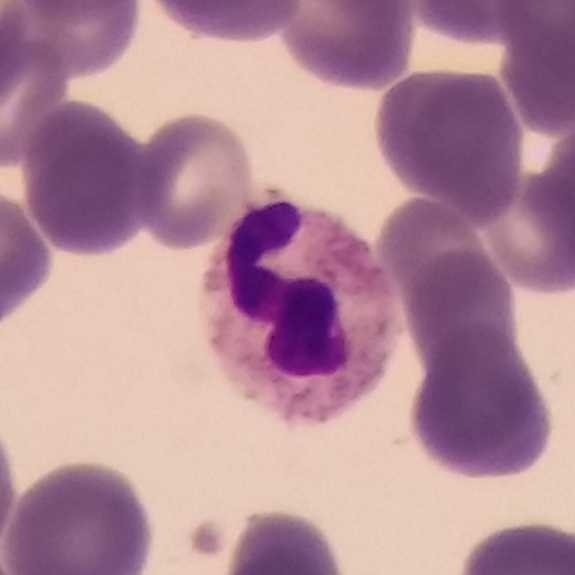

Single cell identified as a neutrophilic granulocyte.
Context: Magnification 100×; peripheral blood smear; phone-camera image taken through the microscope ocular.